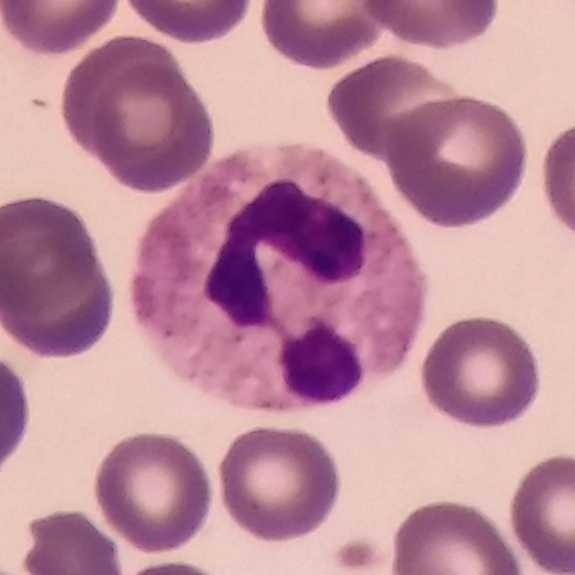
{"cell_type": "neutrophil granulocyte", "lineage": "myeloid"}